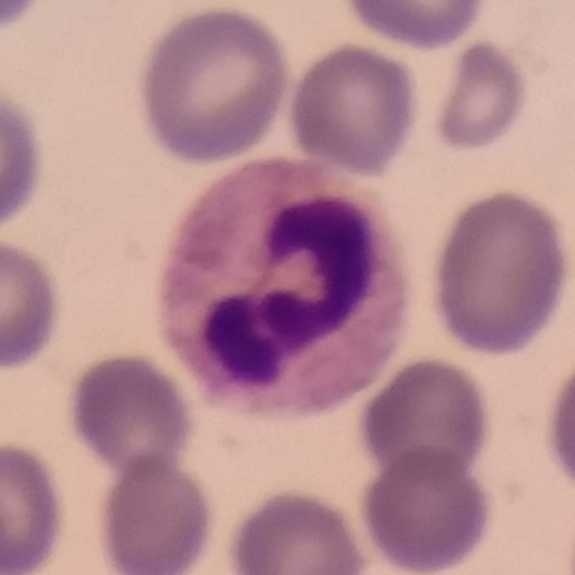
Q: What cell is this?
A: This is a neutrophilic granulocyte.